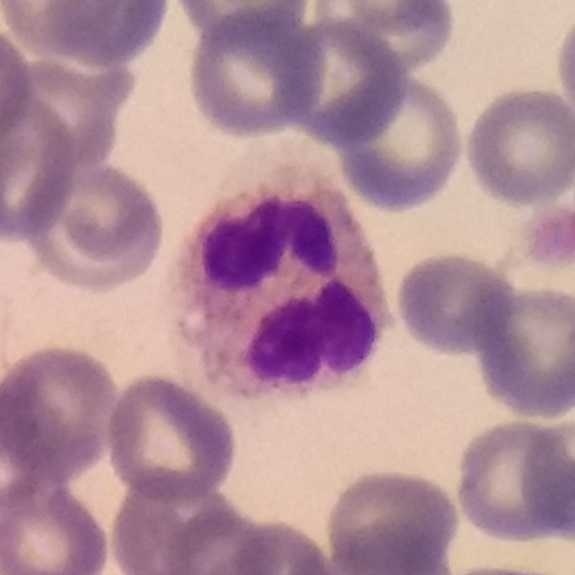The cell shown is a neutrophil.

Image: Peripheral blood smear.